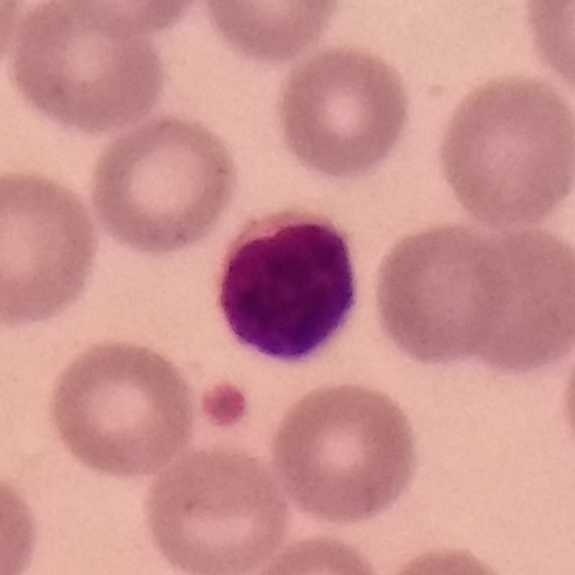

Peripheral blood smear. 575 by 575 pixels. Single white blood cell cropped from the smear photograph.

Lymphocyte.